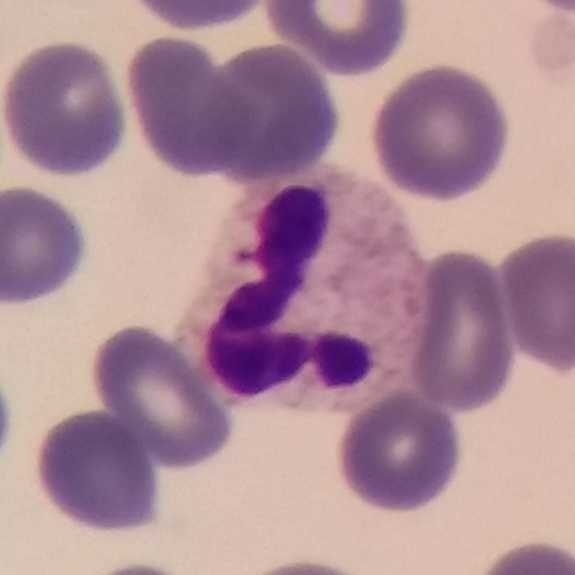 Context: Peripheral blood smear; cropped to one leukocyte; Giemsa stain. White blood cell type = neutrophil granulocyte.